Peripheral blood smear · stained with Giemsa
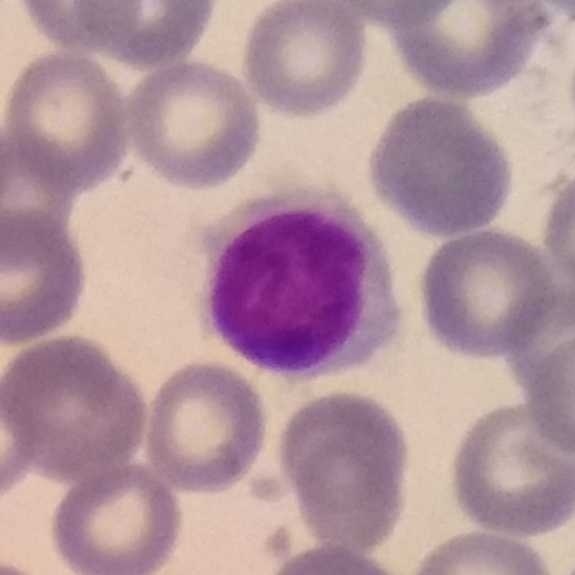 Morphology consistent with a lymphocyte.